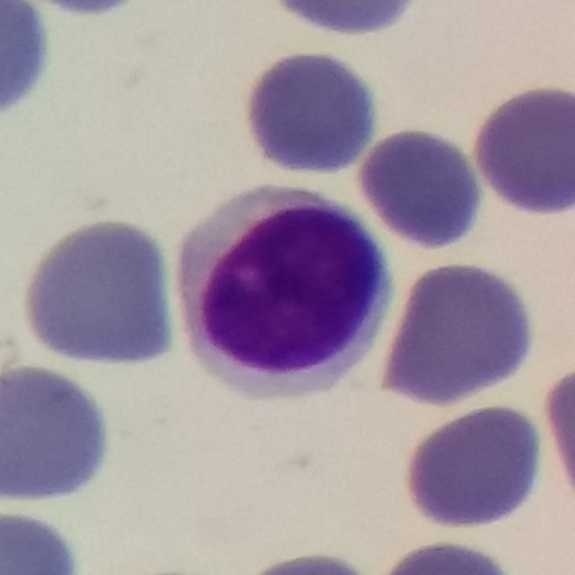Morphology consistent with a lymphocyte.
Peripheral blood smear.